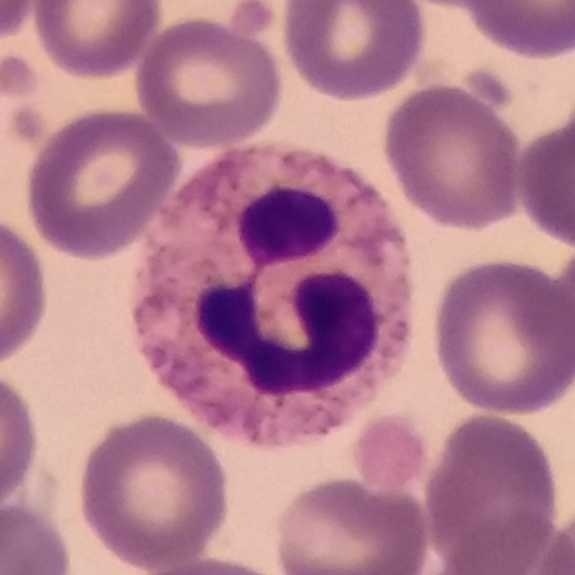 Image: Single white blood cell cropped from the smear photograph.

Specimen: peripheral blood smear.
Morphological class: neutrophil granulocyte.